Peripheral blood film.
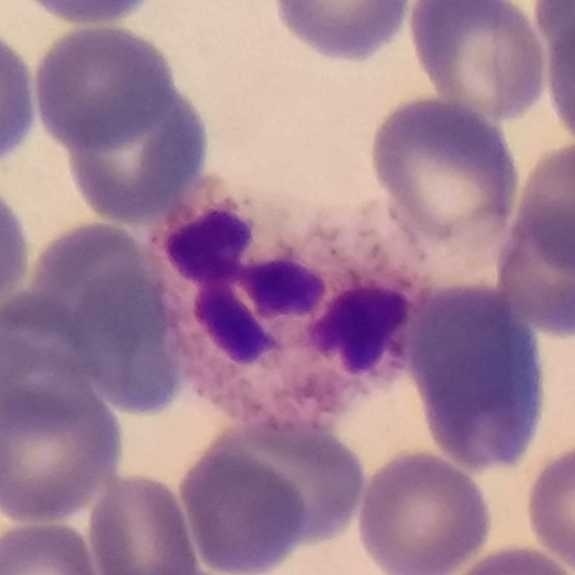

Single cell identified as a neutrophilic granulocyte.